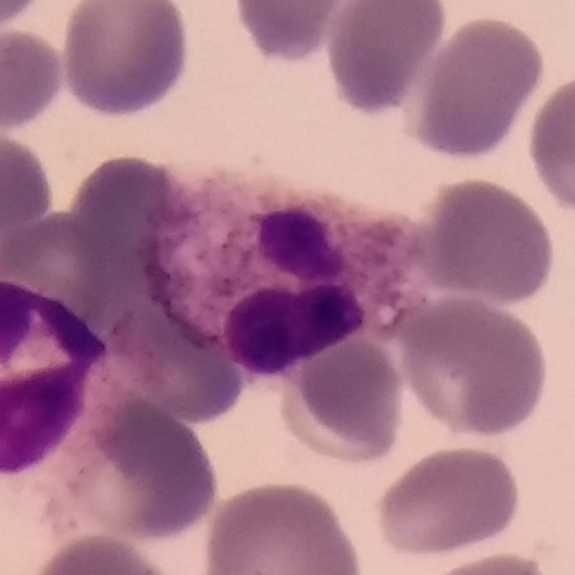

Q: Identify the cell.
A: It is a neutrophil granulocyte.
Peripheral blood film.